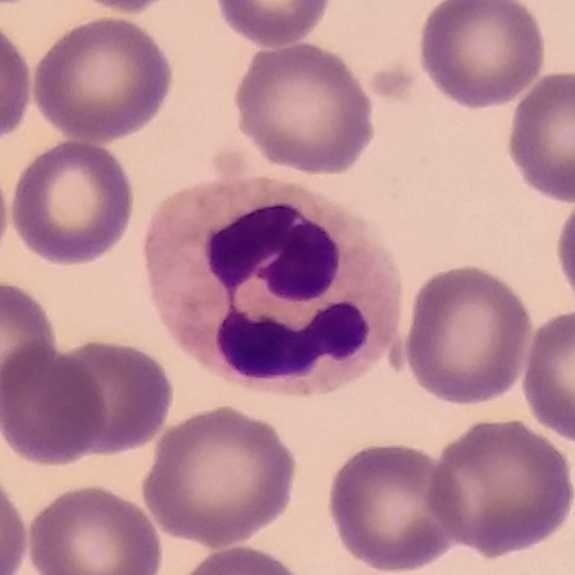
Q: What is this?
A: This is a neutrophilic granulocyte.